Smartphone photomicrograph; peripheral blood smear
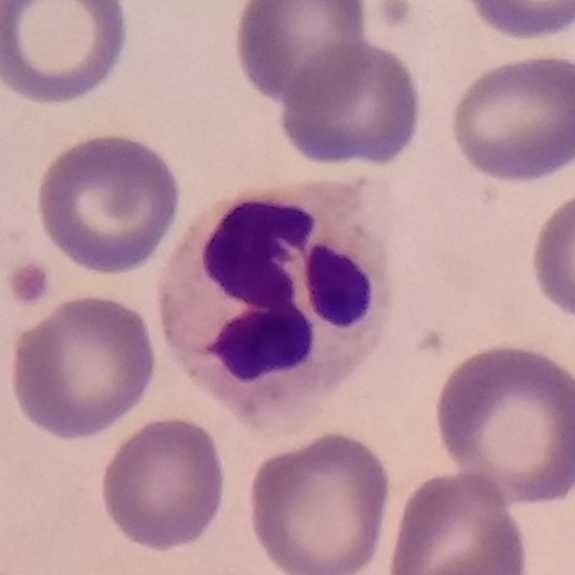
Single cell identified as a neutrophil.